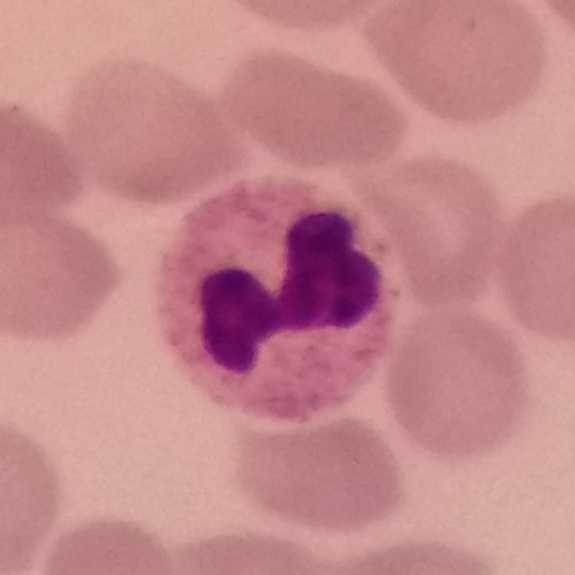The cell shown is a neutrophil granulocyte.